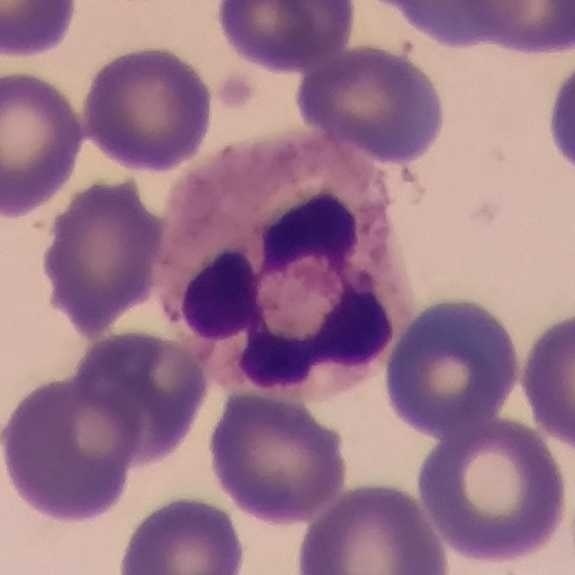

Preparation: Peripheral blood smear.

Single cell identified as a neutrophil granulocyte.